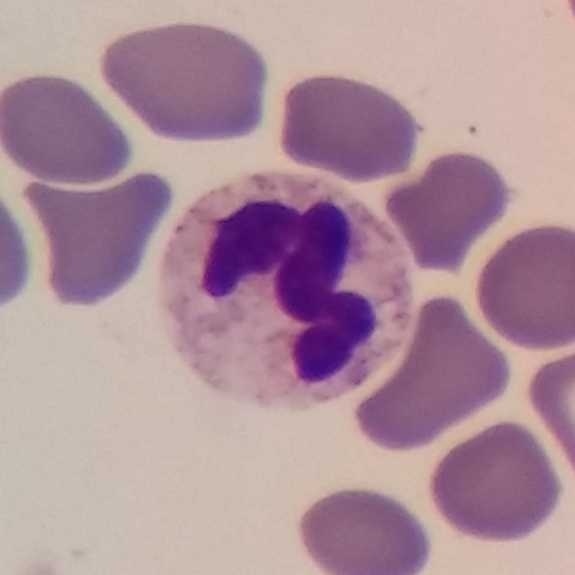
Preparation: Smartphone photomicrograph. Specimen: peripheral blood film.
Cell type: neutrophil.
Lineage: myeloid.